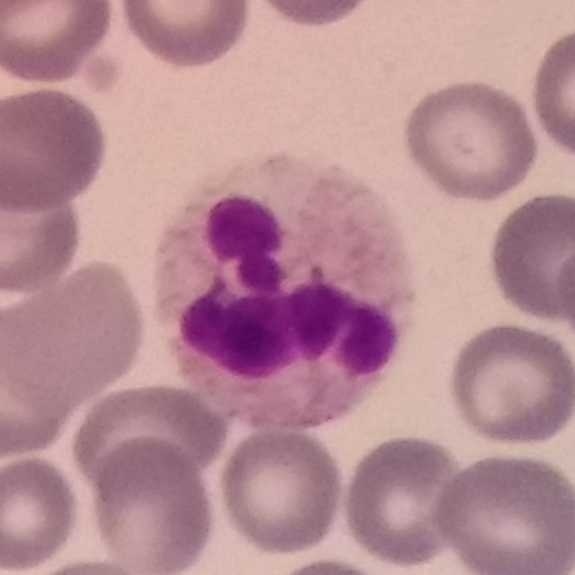The white blood cell in this image is a neutrophilic granulocyte.

Context: Peripheral blood film.